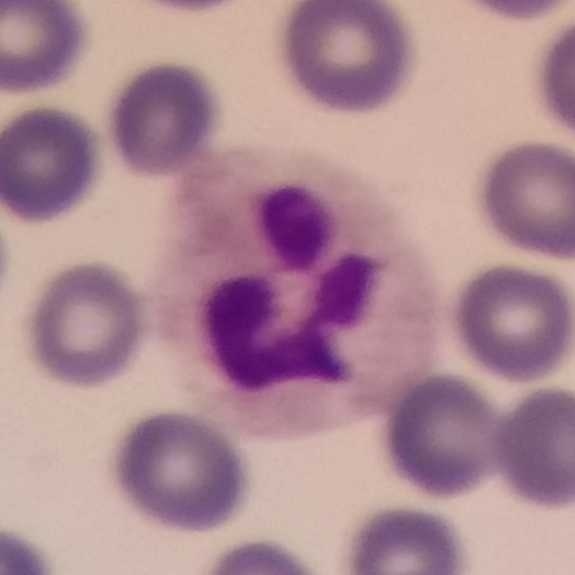 Single cell identified as a neutrophil granulocyte.
Context: Peripheral blood smear; 575×575 px.